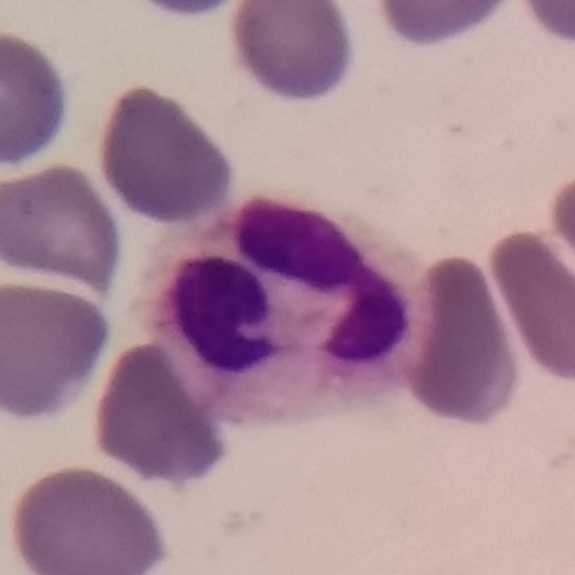A neutrophilic granulocyte.